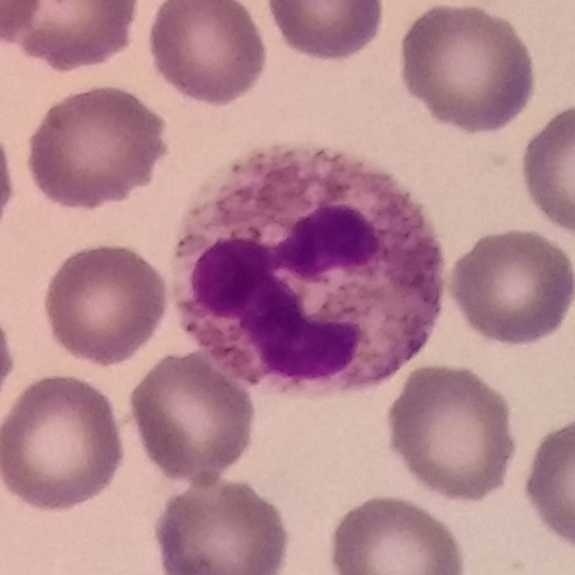 Cell type: neutrophil.